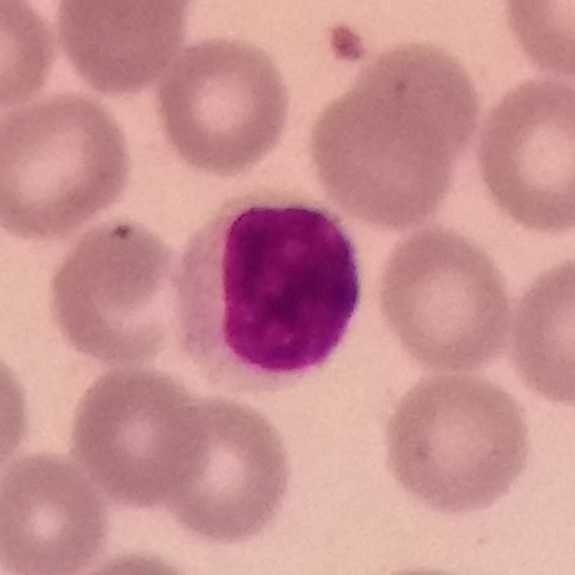 Showing a lymphocyte.